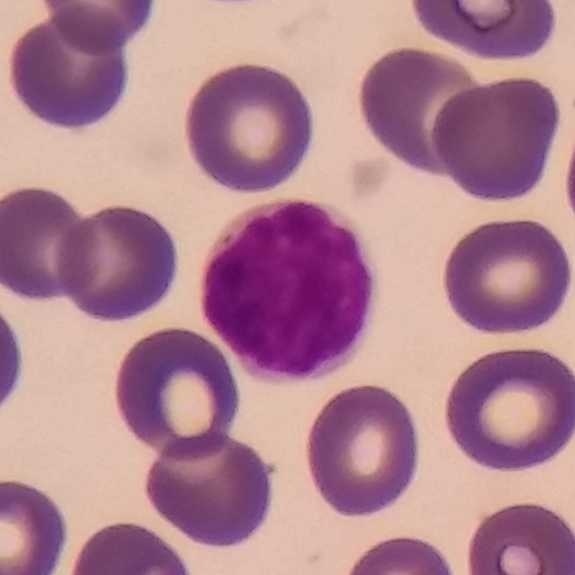 Image: Peripheral blood film.

Classification: lymphocyte.